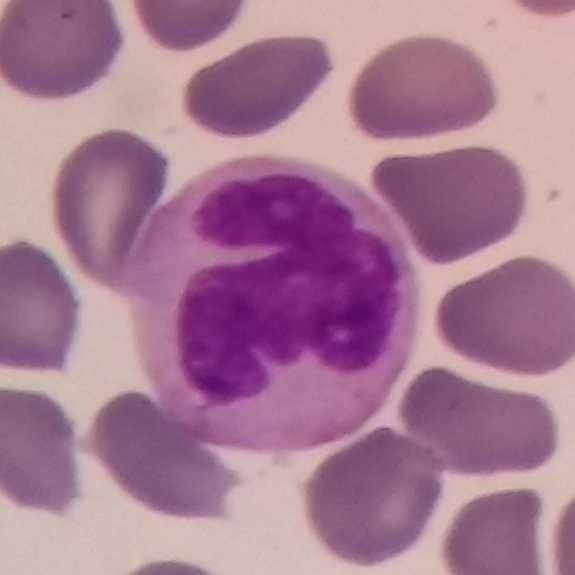
{"cell_type": "monocyte", "lineage": "myeloid"}